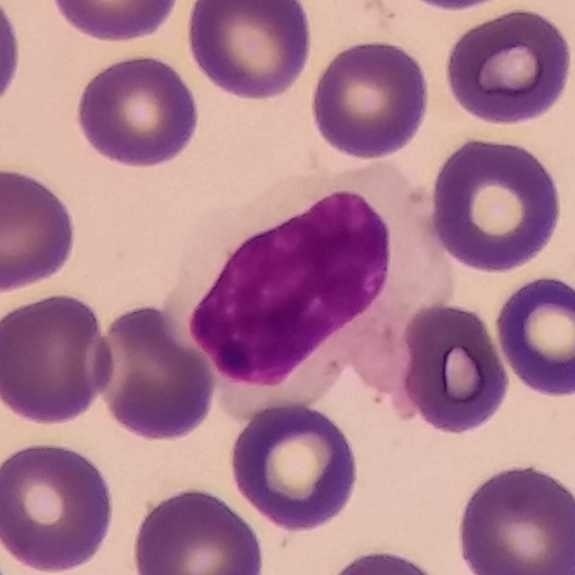
Acquisition: Giemsa-stained · peripheral blood smear.

{"cell_type": "lymphocyte"}